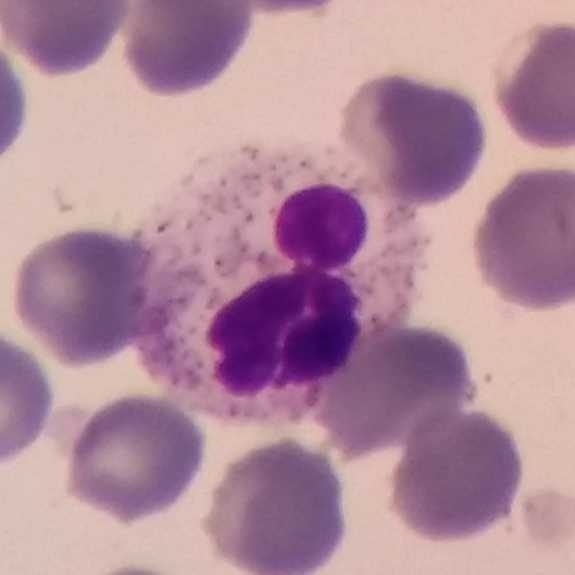 Giemsa stain · peripheral blood film · phone-camera image taken through the microscope ocular. Q: What type of cell is this?
A: Neutrophilic granulocyte.